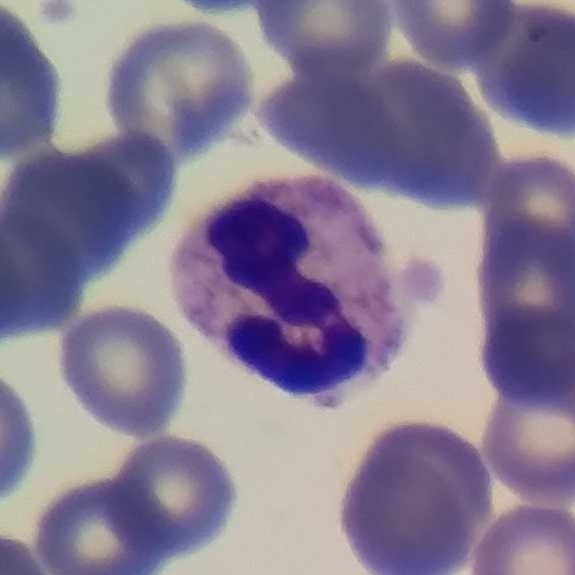 Acquisition: Magnification 100×. Peripheral blood smear. Morphology — neutrophil.